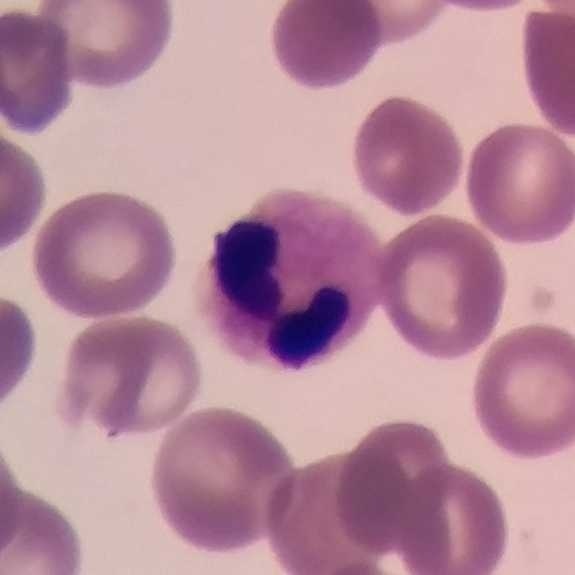 Acquisition: Giemsa-stained. Peripheral blood film. Q: Which cell type is shown here?
A: A neutrophil granulocyte.